Peripheral blood film:
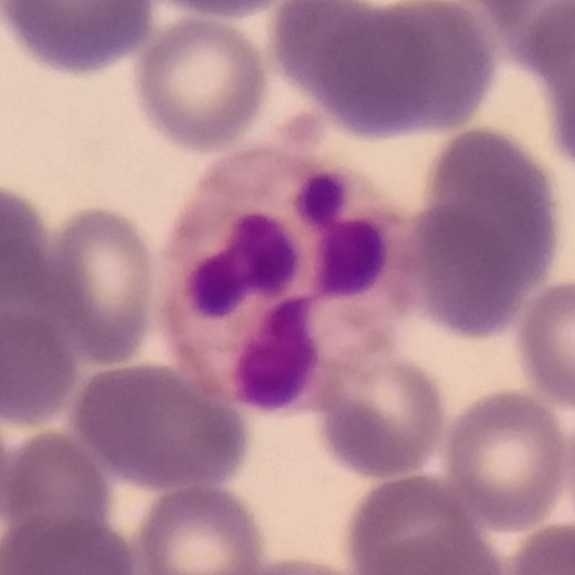White blood cell type: neutrophil.